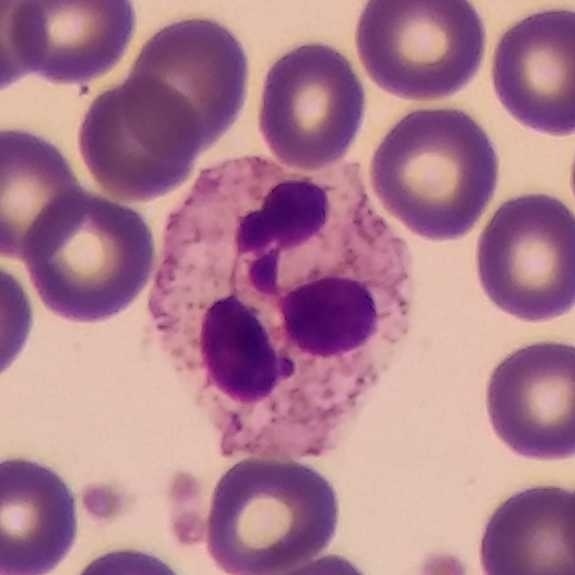 The classification is neutrophil granulocyte.
Peripheral blood film.